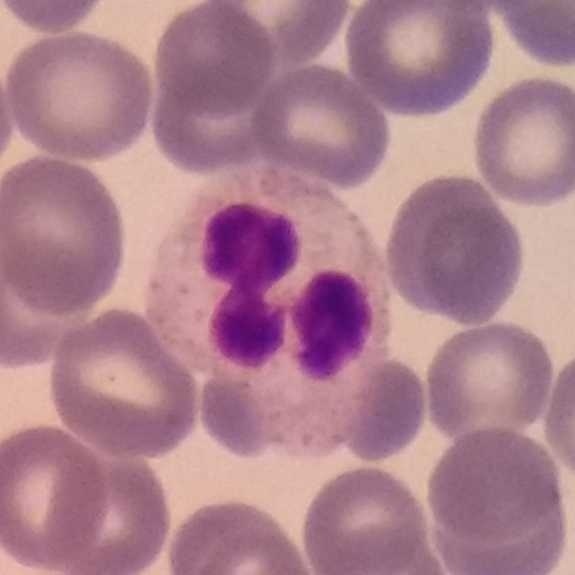 Q: What is this?
A: It is a neutrophil.

Preparation: Image size 575×575 · peripheral blood smear · single-cell crop.